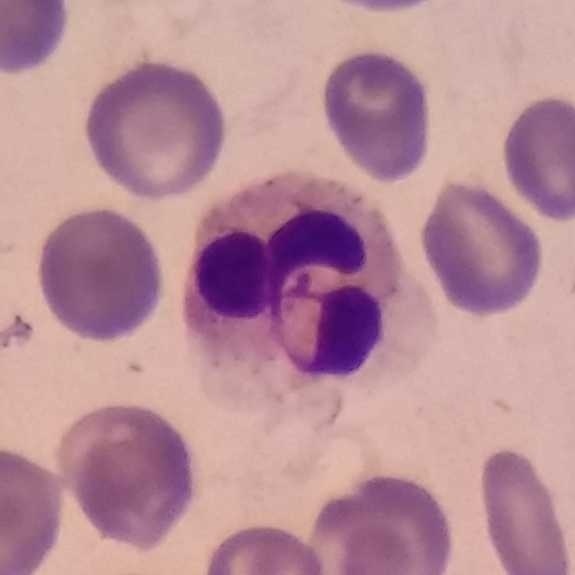
Neutrophilic granulocyte.